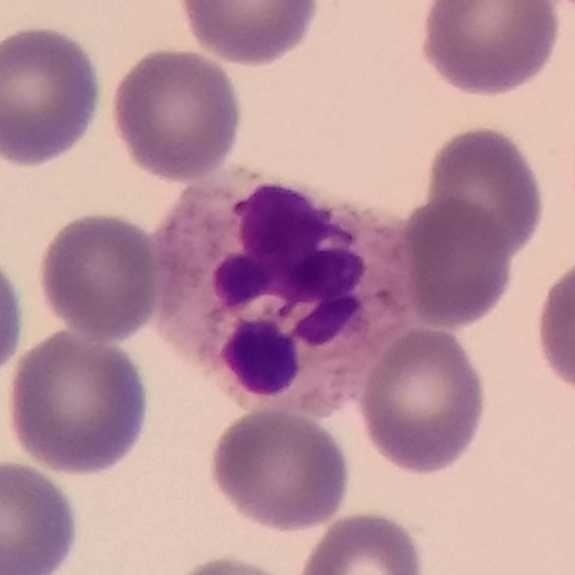Acquisition: Peripheral blood smear. 575×575. Photographed through a light microscope with a smartphone camera. The cell shown is a neutrophilic granulocyte.